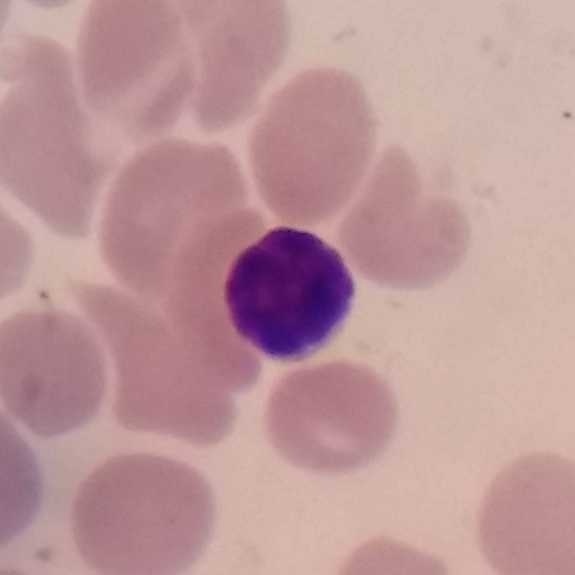 Context: Peripheral blood smear; photographed through a light microscope with a smartphone camera. Single cell identified as a lymphocyte.